Peripheral blood film:
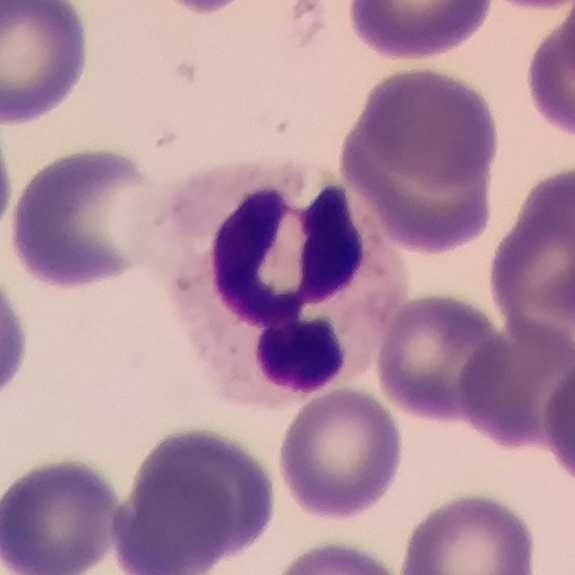 Q: Classify this leukocyte.
A: A neutrophilic granulocyte.